Peripheral blood film.
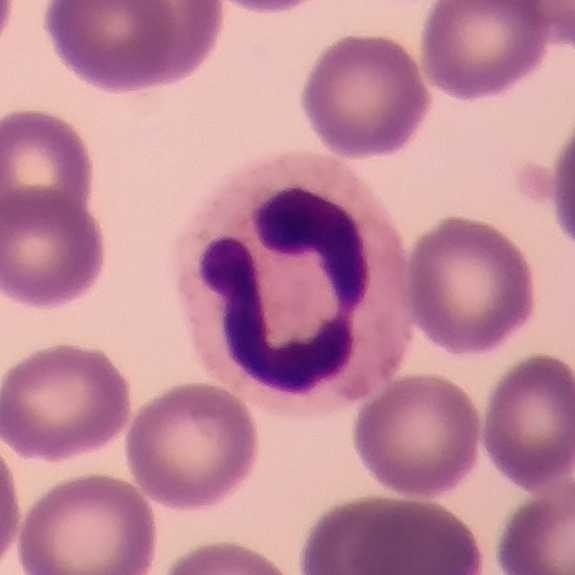Impression — neutrophil.